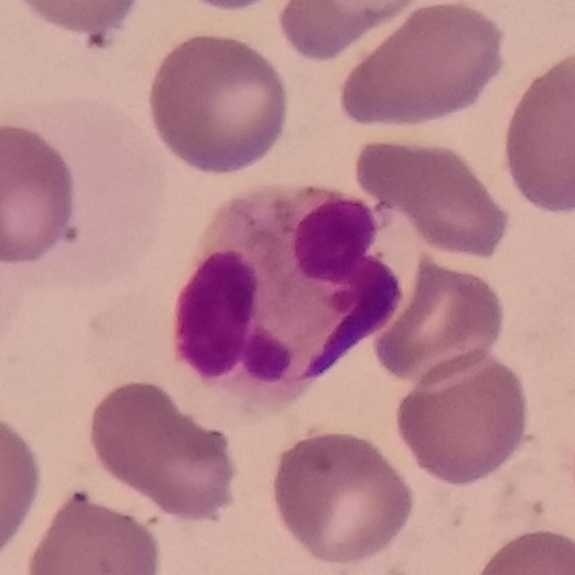
Specimen: peripheral blood smear.
Classification: neutrophilic granulocyte.